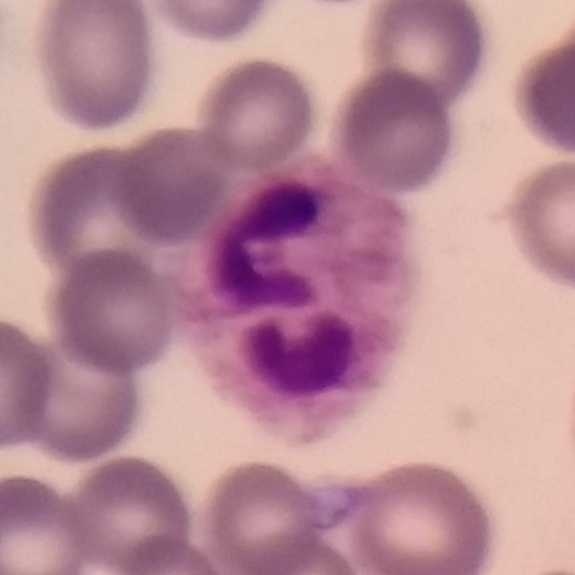 Preparation: Peripheral blood film.
Single cell identified as a neutrophil granulocyte.